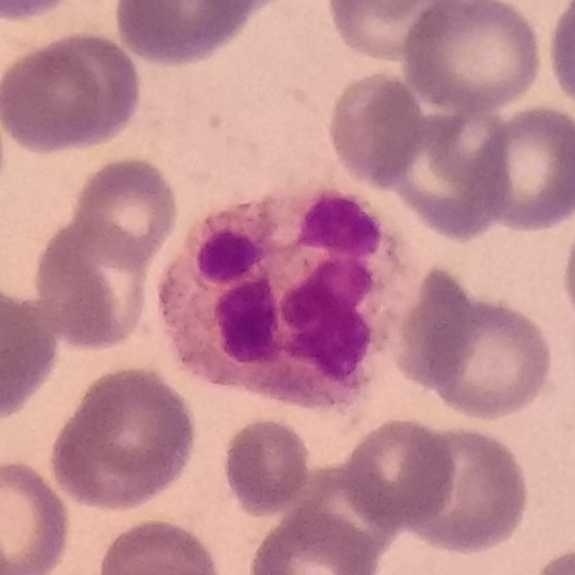Showing a neutrophilic granulocyte.